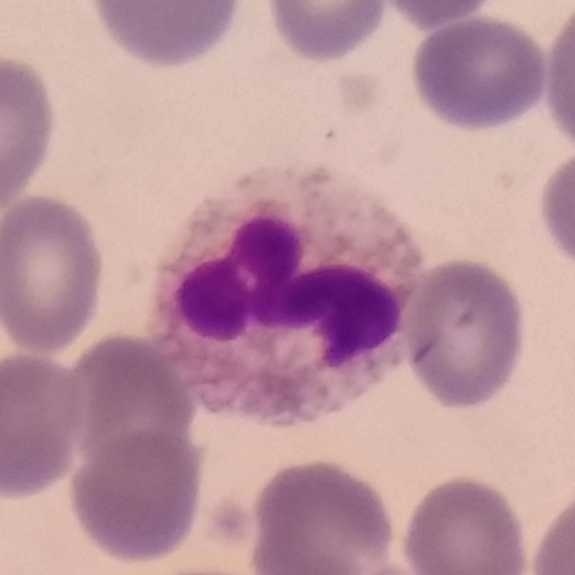
White blood cell type — neutrophil granulocyte.